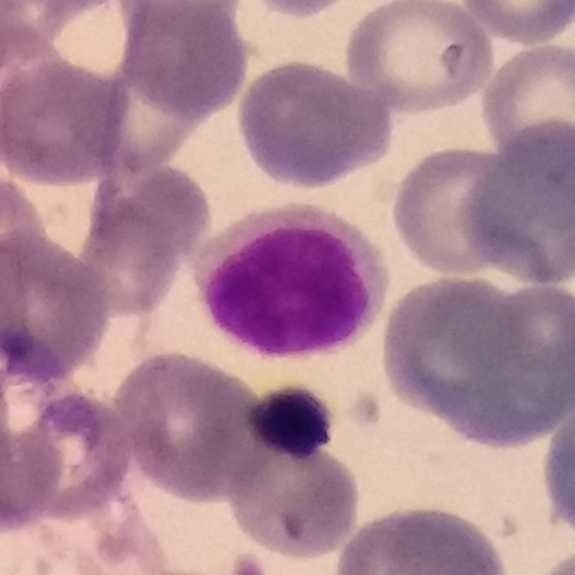

Specimen: peripheral blood film.
White blood cell type: lymphocyte.

Image: Single white blood cell cropped from the smear photograph.